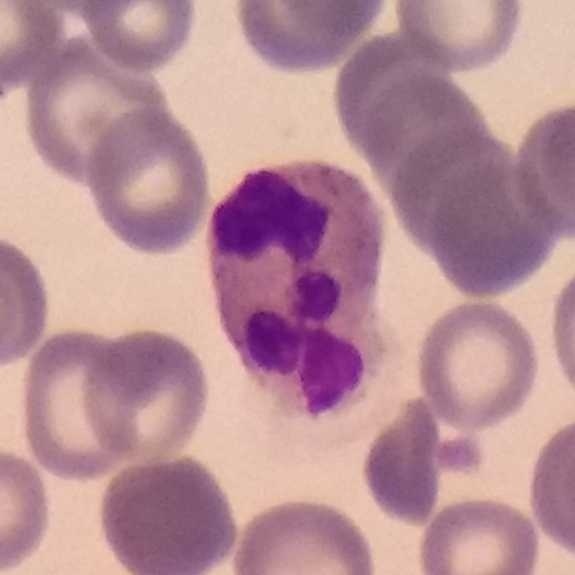

White blood cell from a peripheral blood smear: neutrophil granulocyte.